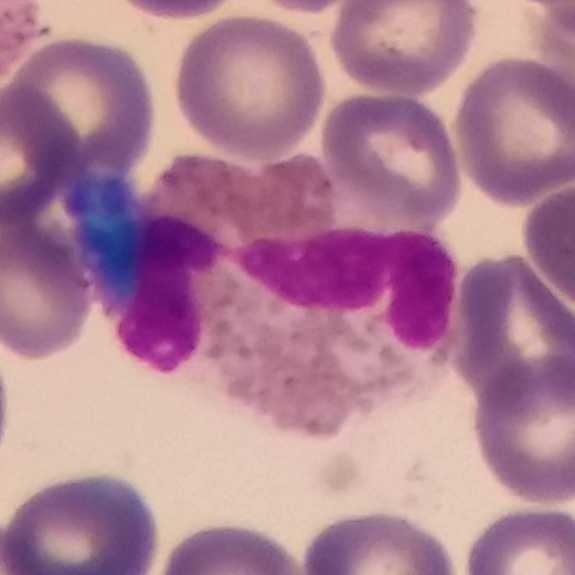

The white blood cell in this image is an eosinophilic granulocyte. Preparation: Peripheral blood film.